Peripheral blood film
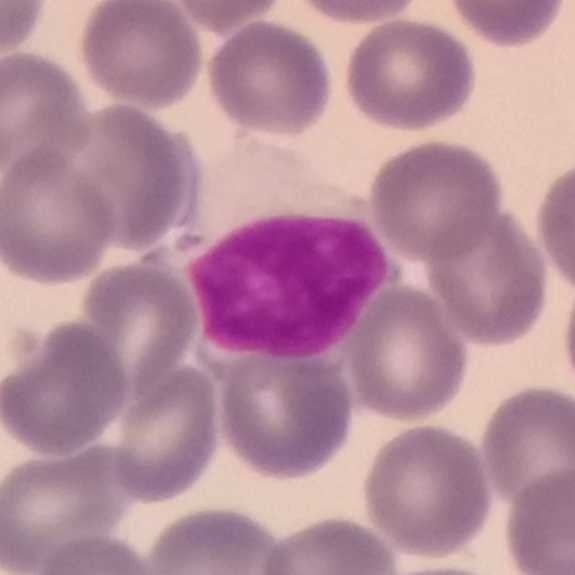
Classification — lymphocyte.